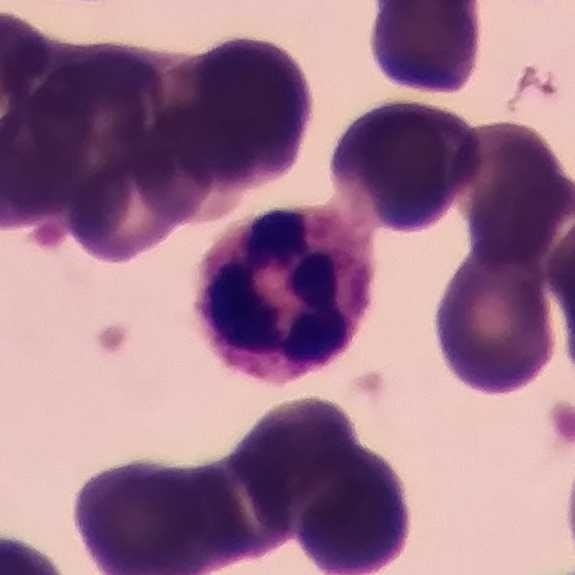 Morphology — neutrophil granulocyte.

Image: Peripheral blood smear · 100× magnification.